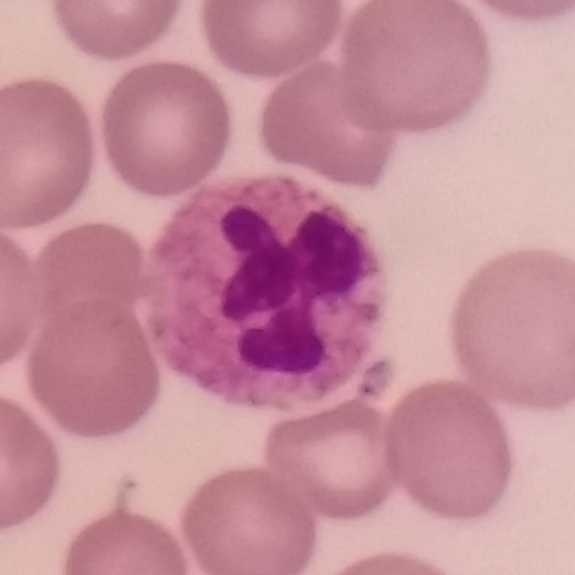 Cropped to one leukocyte; peripheral blood smear.
Neutrophilic granulocyte.